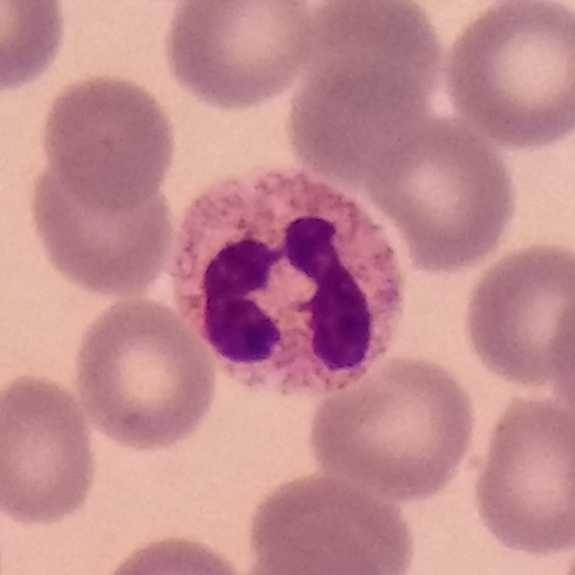

Q: What cell is this?
A: This is a neutrophil.